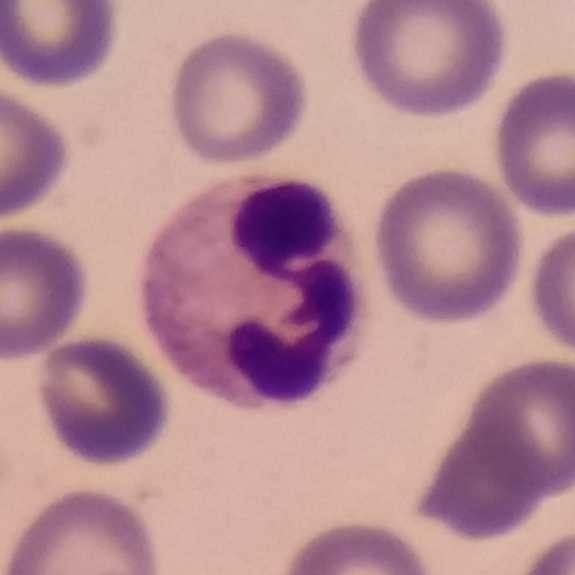
The cell type is neutrophilic granulocyte.
100× magnification. Peripheral blood smear.